Peripheral blood smear; single-cell field:
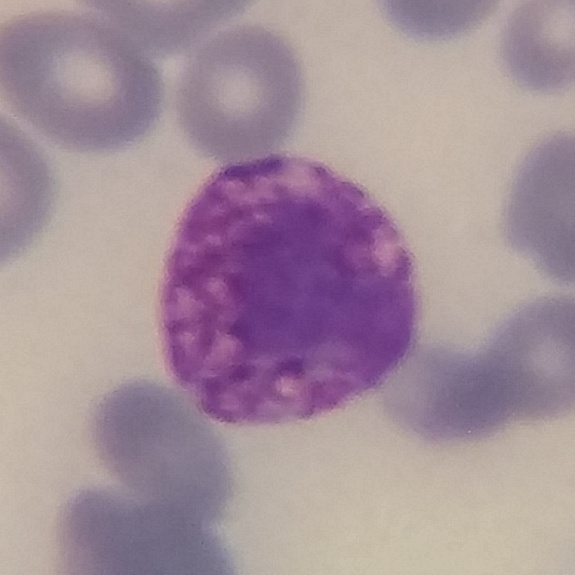
Basophil.